Peripheral blood smear · 575×575 px:
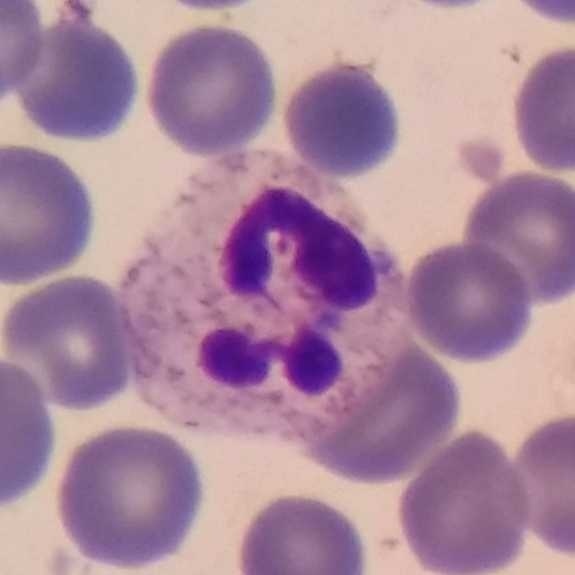
Morphological class: neutrophilic granulocyte.